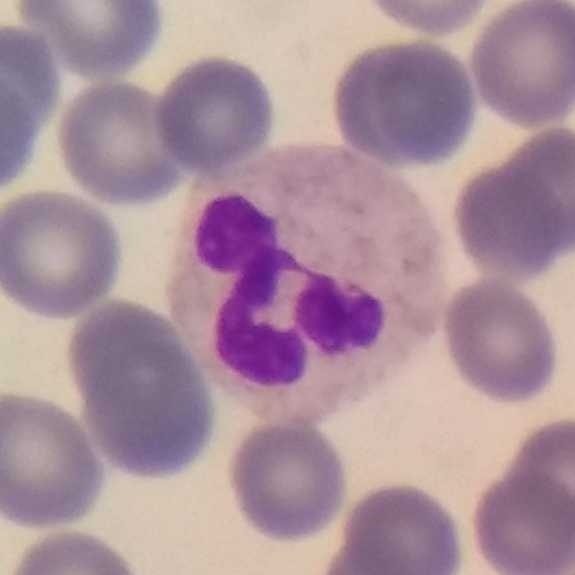 Classification = neutrophil.
Acquisition: Peripheral blood smear. Cropped to one leukocyte.